Peripheral blood smear; photographed through a light microscope with a smartphone camera; imaged at 100×: 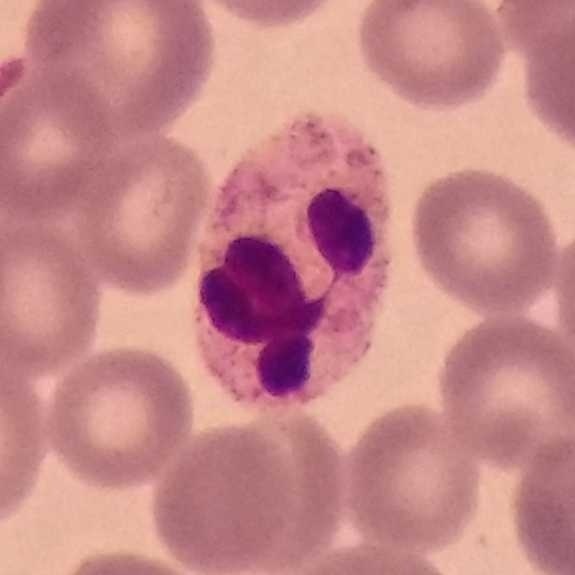

The white blood cell in this image is a neutrophil granulocyte.